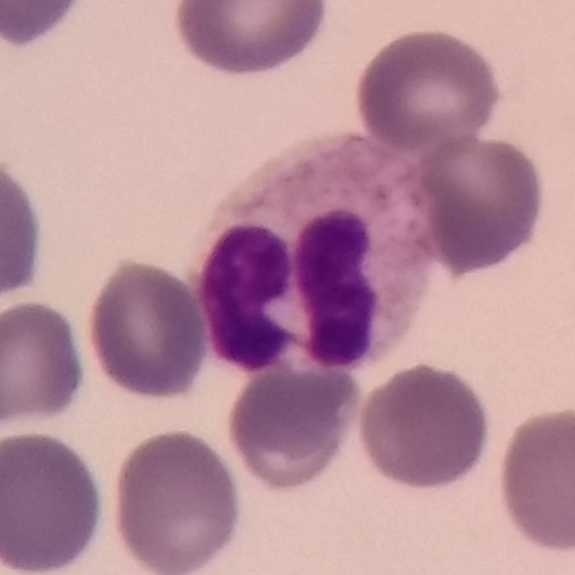 Specimen: peripheral blood film.
White blood cell type: neutrophil.
Lineage: myeloid.